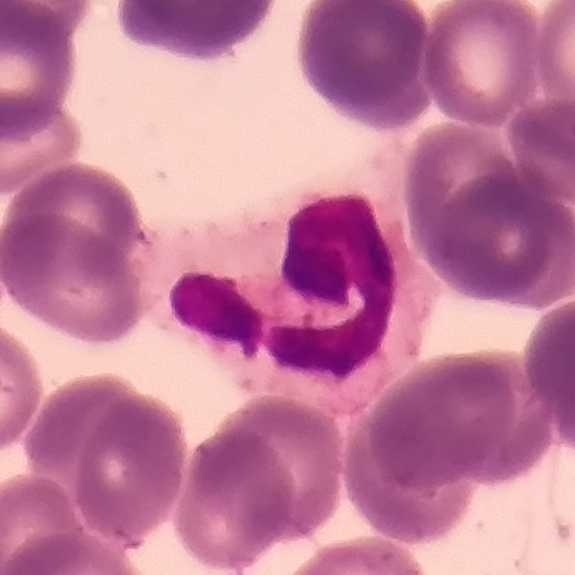{"cell_type": "neutrophilic granulocyte"}

Preparation: Giemsa stain; peripheral blood smear; single-cell crop.